Phone-camera image taken through the microscope ocular; peripheral blood film; image size 575×575: 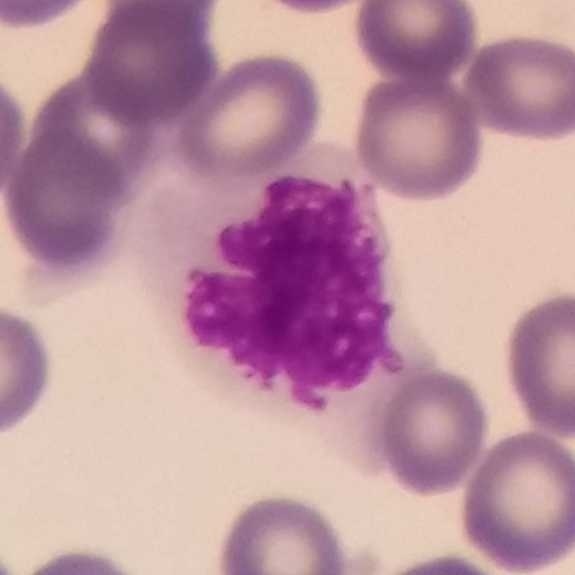
Q: Identify the cell.
A: This is a monocyte.